Peripheral blood film — 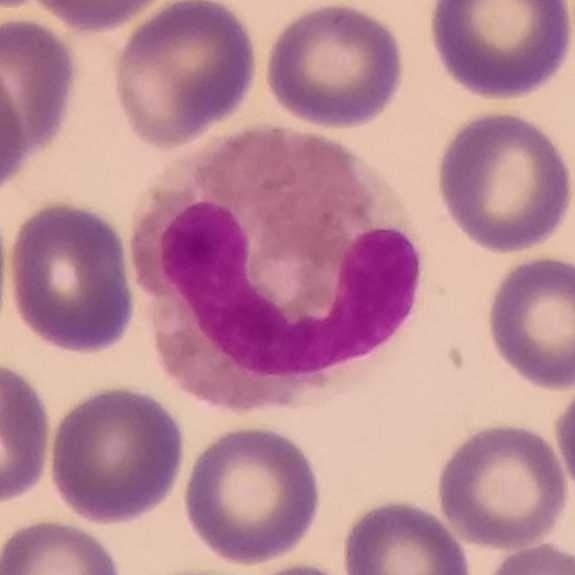
Single cell identified as an eosinophilic granulocyte.